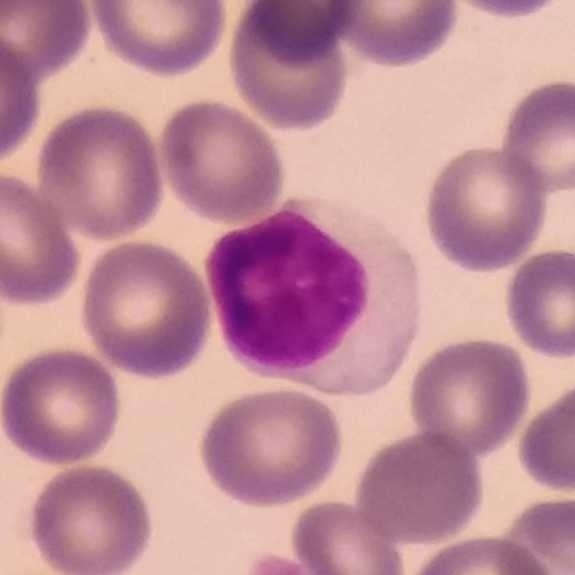 Preparation: 575×575; peripheral blood smear.

This is a lymphocyte.